Peripheral blood film:
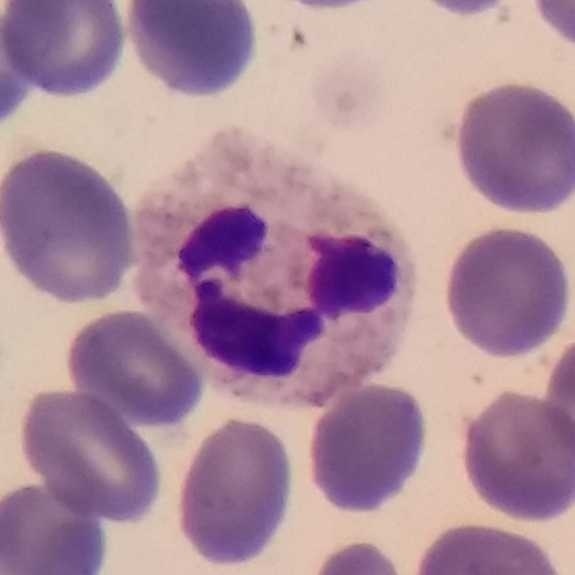Q: What type of cell is this?
A: Neutrophil.